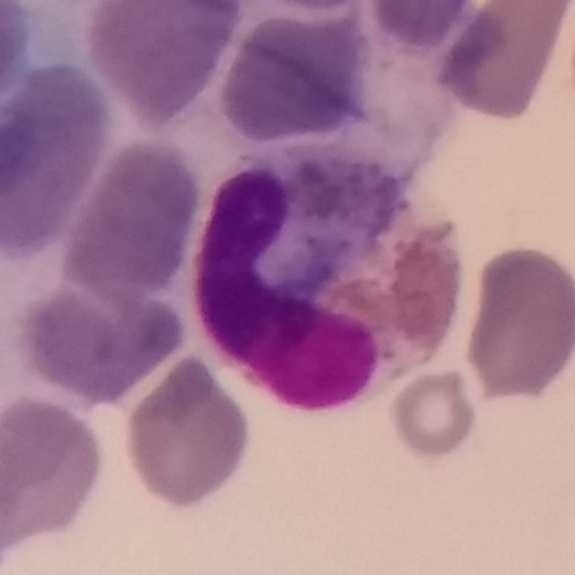Image: Image size 575×575; peripheral blood smear.

Cell type — eosinophilic granulocyte.